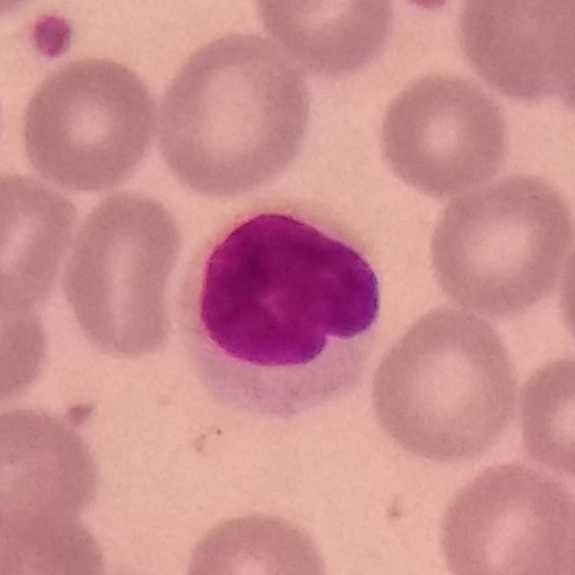
Classification: lymphocyte. Preparation: Smartphone camera mounted on the microscope eyepiece; peripheral blood smear.